Peripheral blood film.
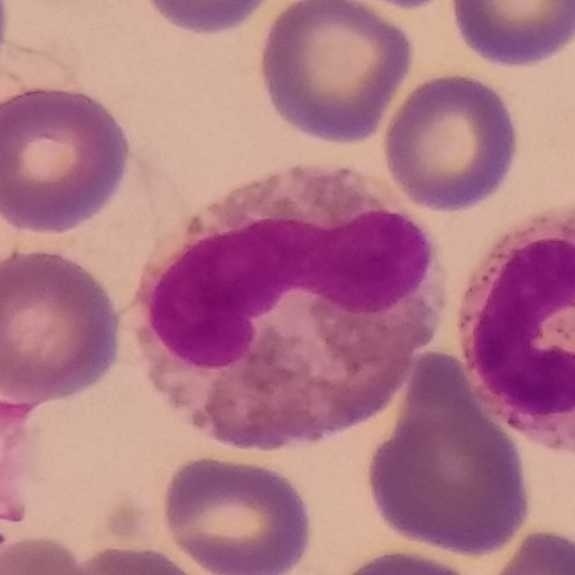

Eosinophil.